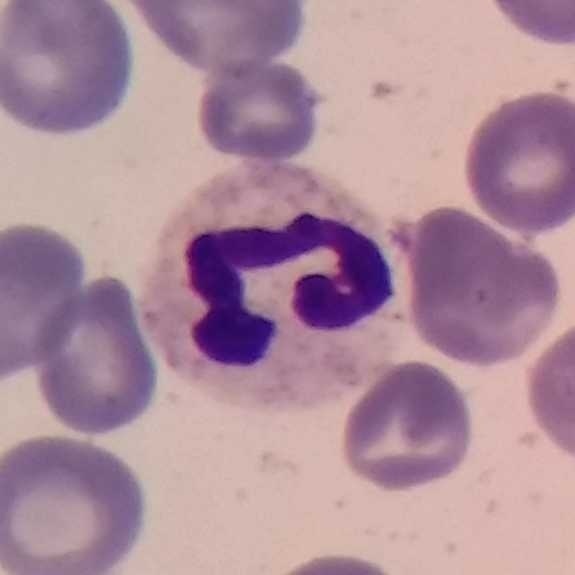Specimen: peripheral blood film.
Cell type: neutrophilic granulocyte.